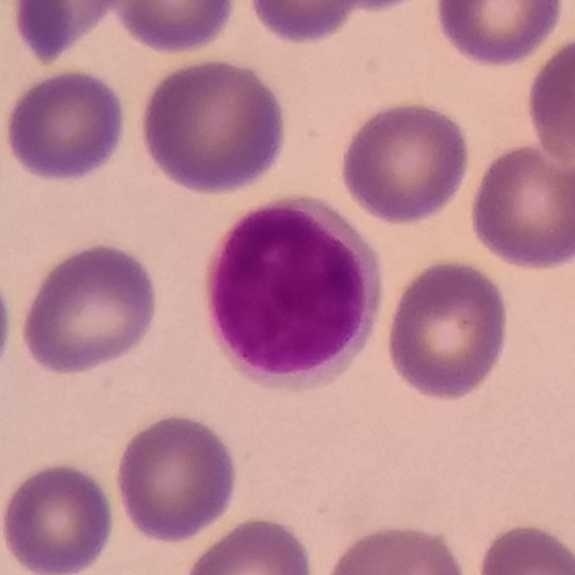

White blood cell from a peripheral blood smear: lymphocyte.